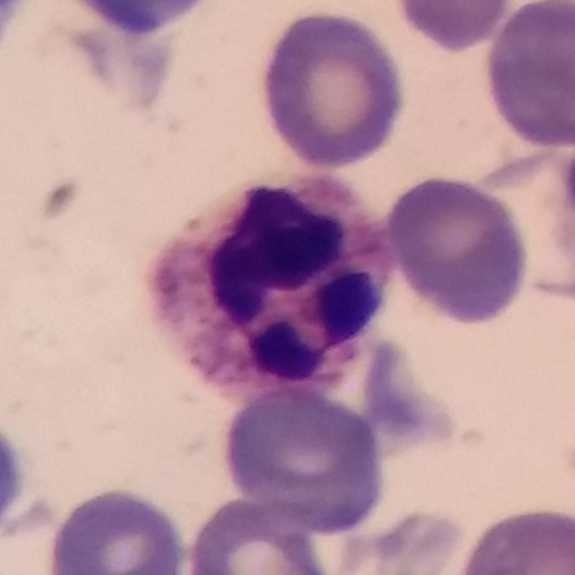Preparation: Peripheral blood smear · 575×575.
Morphology consistent with a neutrophil.